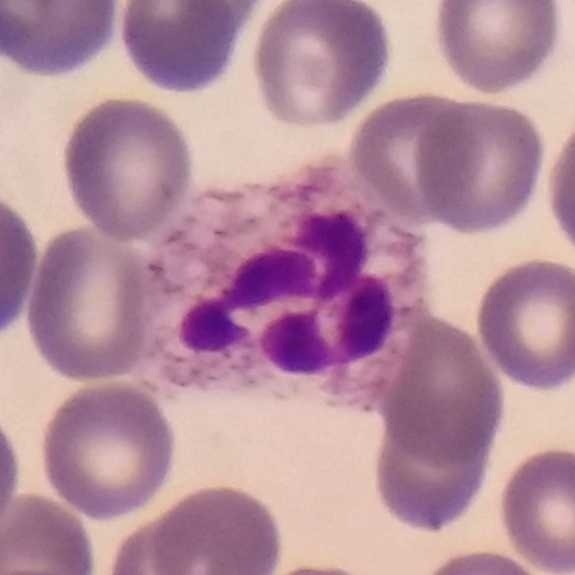 Neutrophil.